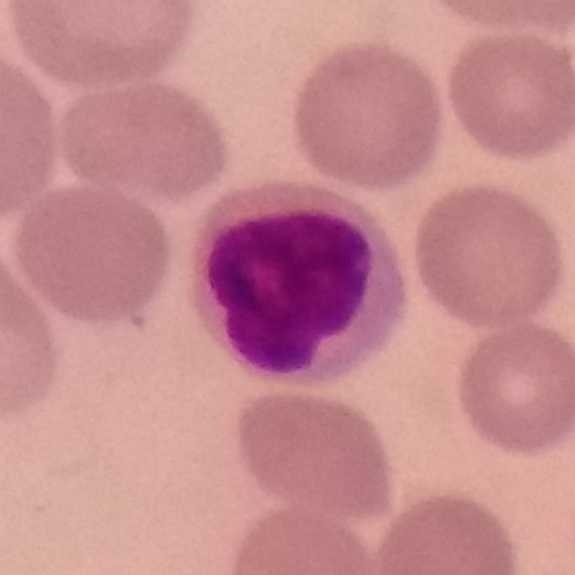 A lymphocyte.